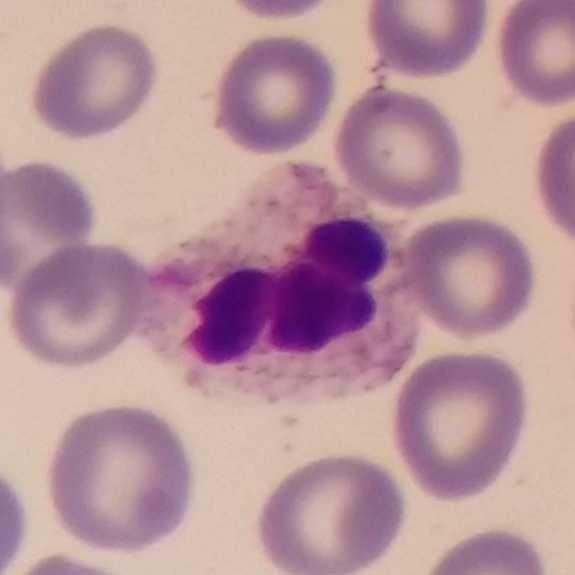

Q: What is the morphological classification of this cell?
A: This is a neutrophil granulocyte.
Image: Cropped to one leukocyte · peripheral blood film · Giemsa stain.